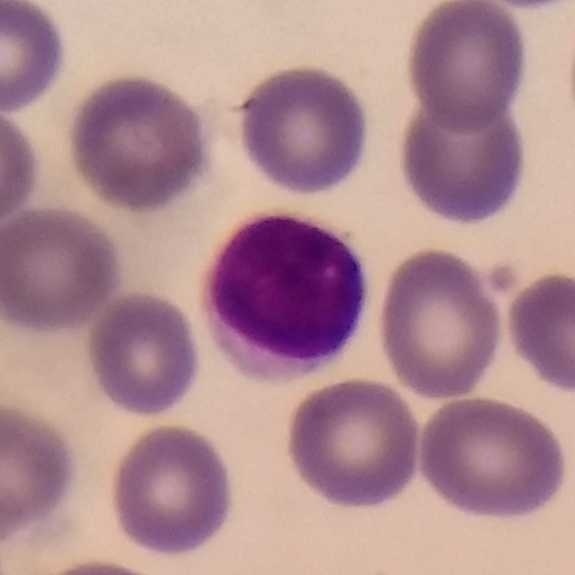

Morphological class: lymphocyte.

Image: Peripheral blood film. Single white blood cell cropped from the smear photograph. Magnification 100×.